Peripheral blood film · 575×575.
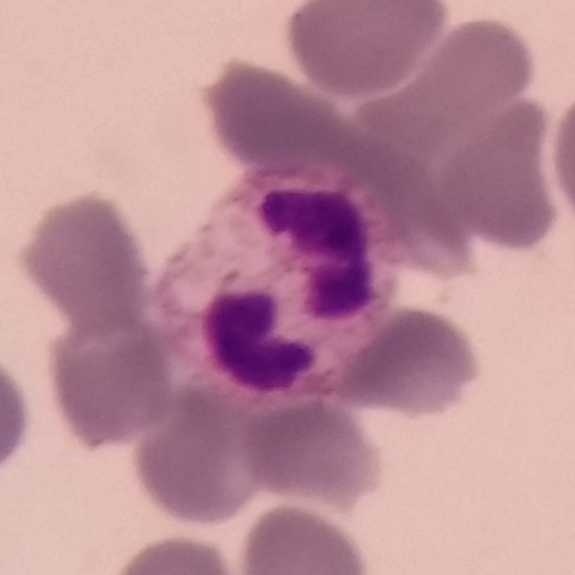Classification = neutrophilic granulocyte.